Peripheral blood film: 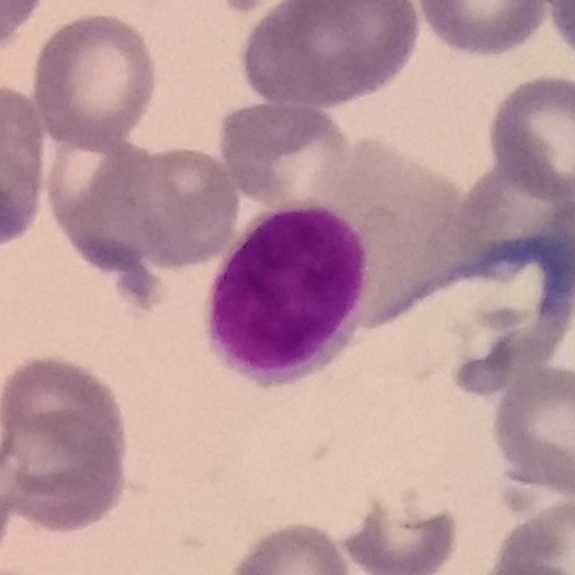
Q: Which cell type is shown here?
A: It is a lymphocyte.